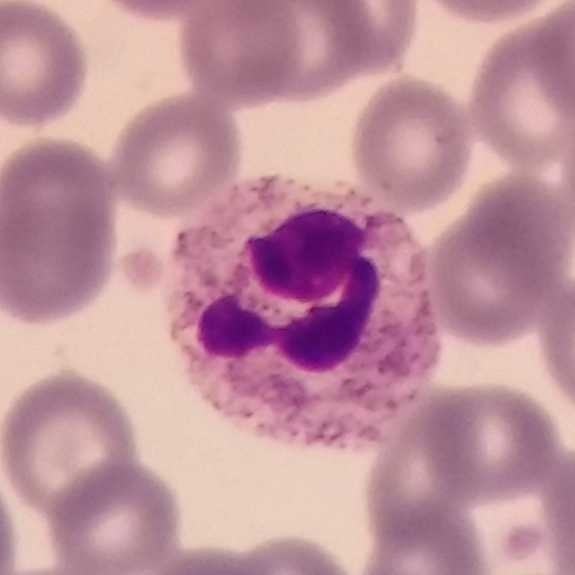 Image: 100× magnification.

Specimen: peripheral blood film.
Cell: neutrophil.
Lineage: myeloid.